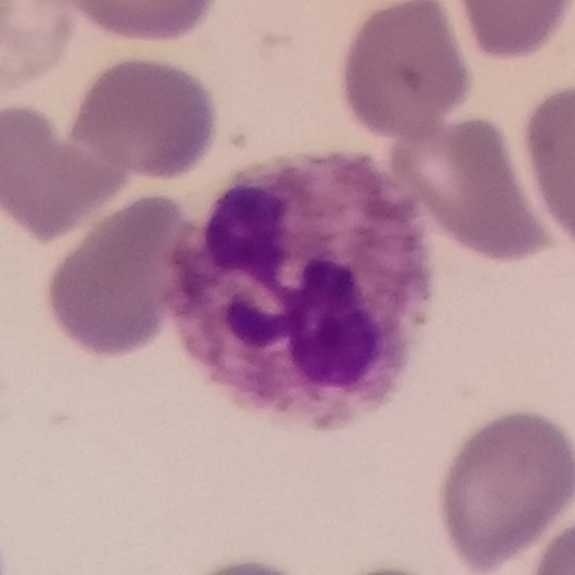 Peripheral blood smear · 575 by 575 pixels.
Q: Which cell type is shown here?
A: This is a neutrophilic granulocyte.